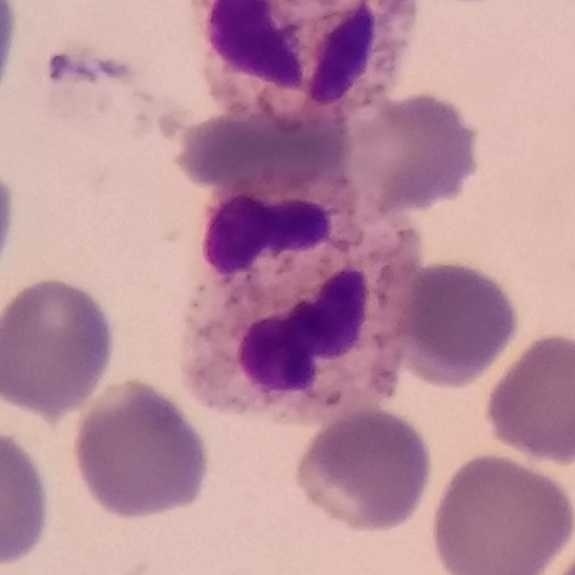

Neutrophil.